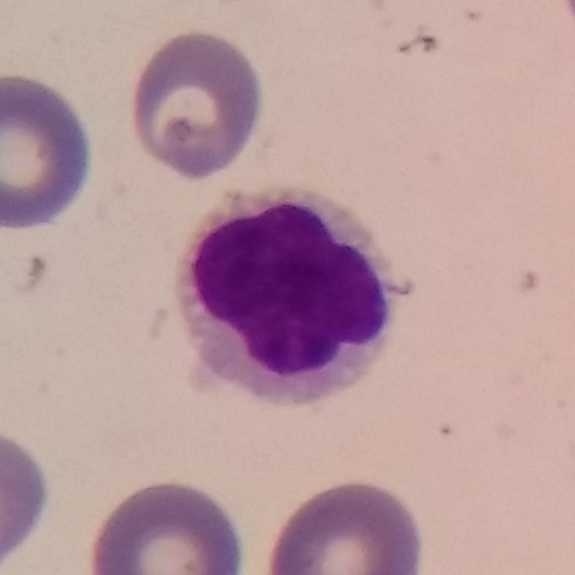

The white blood cell in this image is a lymphocyte.

Preparation: Peripheral blood film.